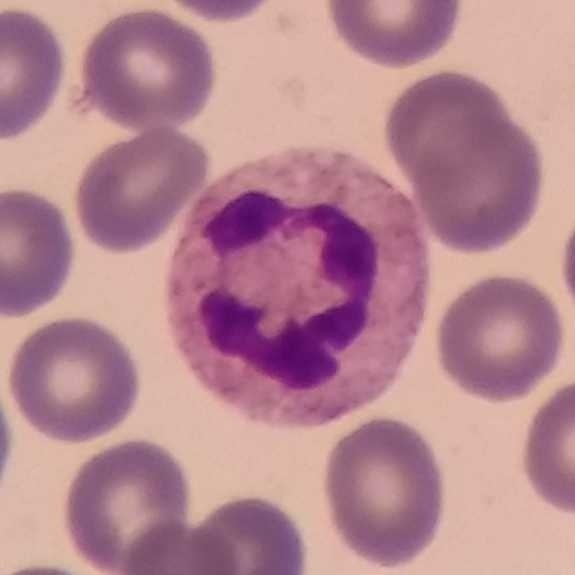

Acquisition: Peripheral blood smear.
Q: What is the morphological classification of this cell?
A: It is a neutrophil granulocyte.